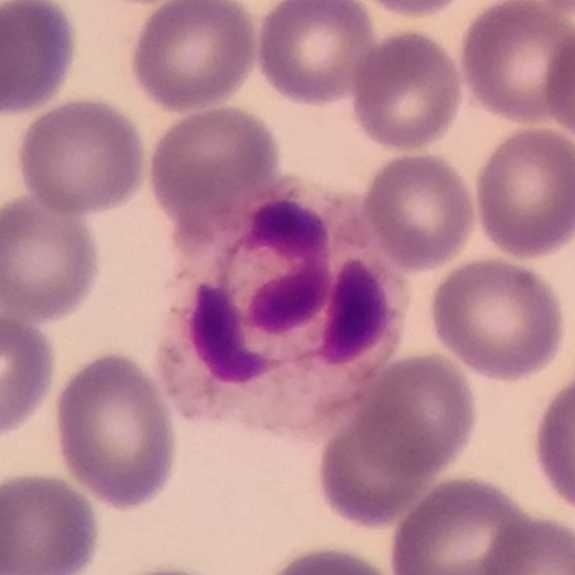 Q: Which type of white blood cell is this?
A: Neutrophil.